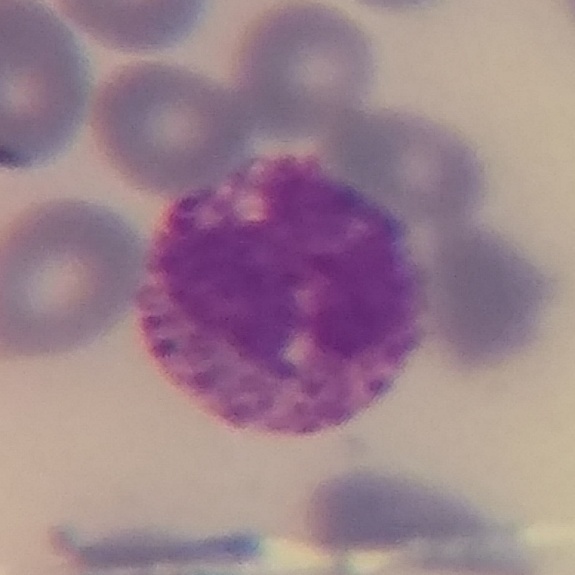Peripheral blood film · cropped to one leukocyte.
Impression → basophil.